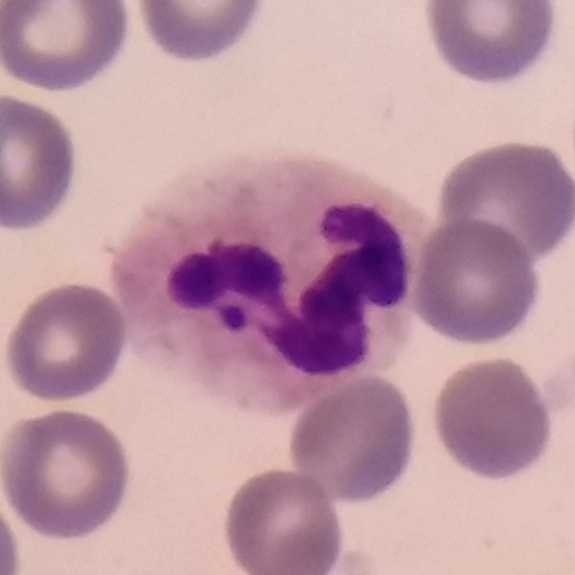

Morphological class: neutrophilic granulocyte. Context: Single-cell crop; peripheral blood smear; Giemsa stain.